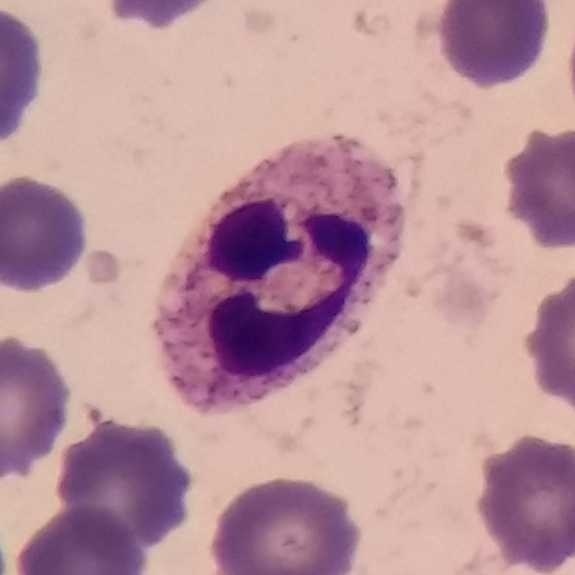 Image: Peripheral blood film; imaged at 100×.

Single cell identified as a neutrophilic granulocyte.